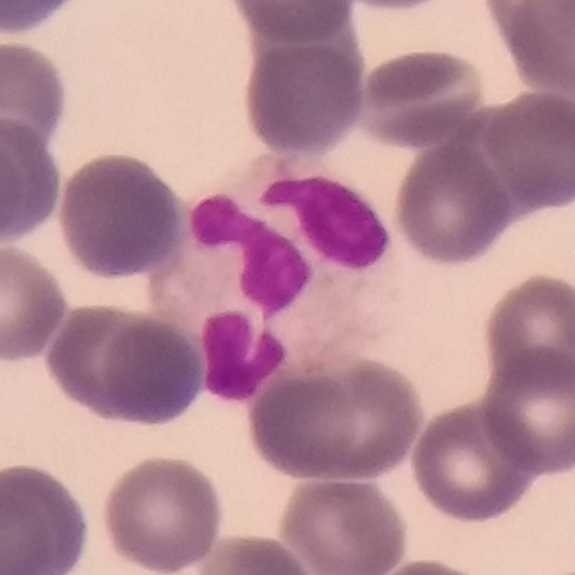 Morphology consistent with a neutrophil granulocyte. Peripheral blood smear.